Peripheral blood film: 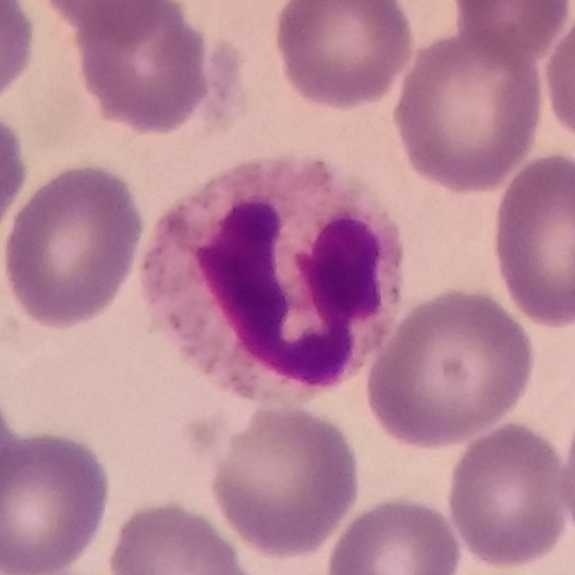 Specimen: peripheral blood film.
Cell: neutrophil granulocyte.
Lineage: myeloid.